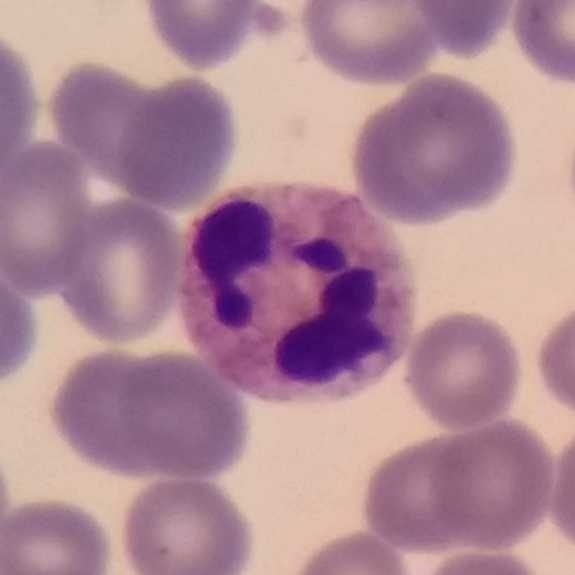 Preparation: Stained with Giemsa; peripheral blood smear. Morphology — neutrophil granulocyte.